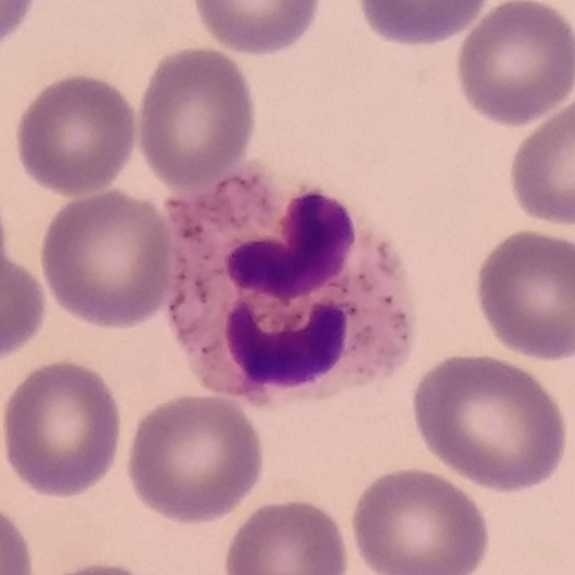
Single cell identified as a neutrophil granulocyte.
Image: Peripheral blood smear.